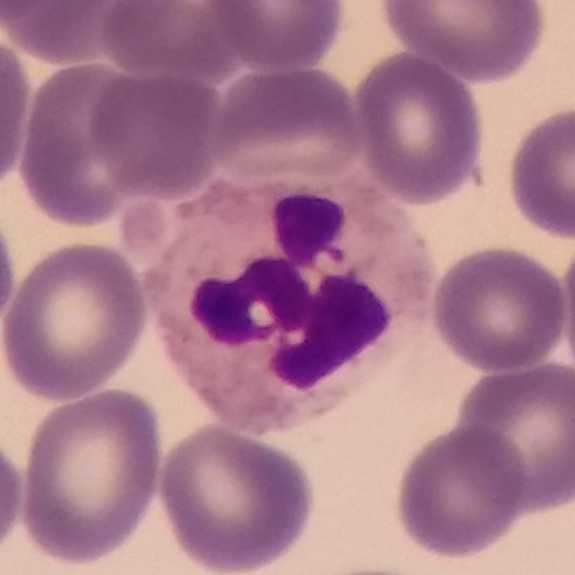
Preparation: Peripheral blood smear.

Neutrophil.